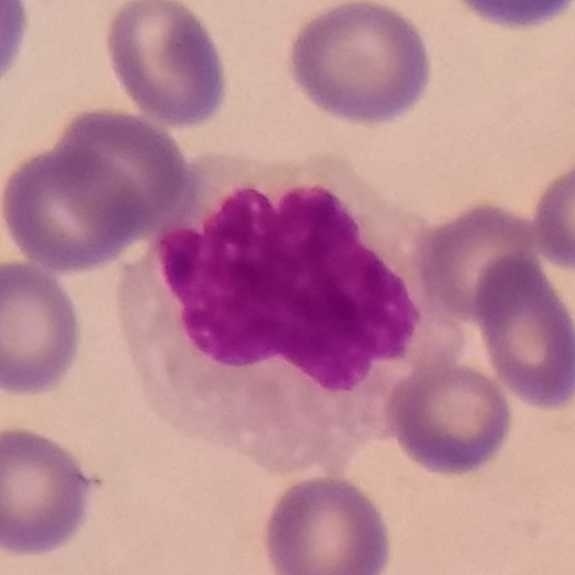 Image: Single white blood cell cropped from the smear photograph. Peripheral blood film. 100× magnification.

Q: What type of cell is this?
A: This is a monocyte.